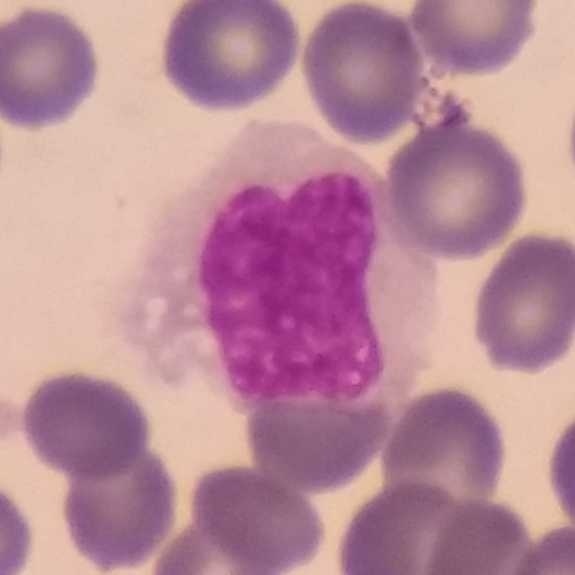 Image: Peripheral blood film; magnification 100×; stained with Giemsa.

Q: Identify the cell.
A: It is a monocyte.